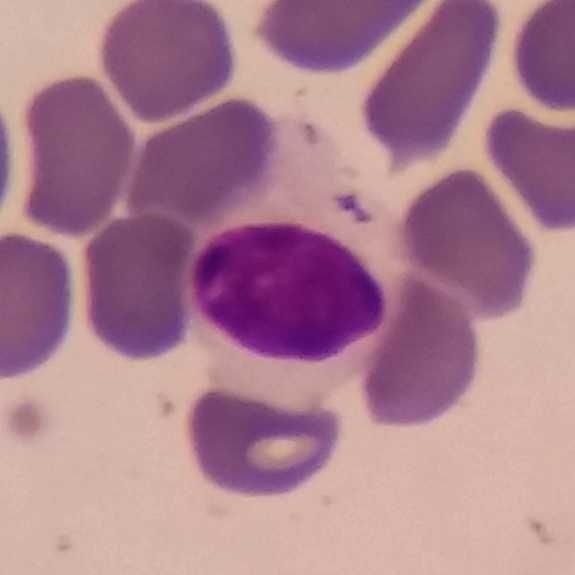 Morphology consistent with a lymphocyte.

Context: Imaged at 100× · smartphone photomicrograph · peripheral blood smear.